Peripheral blood film. Smartphone camera mounted on the microscope eyepiece. Magnification 100×
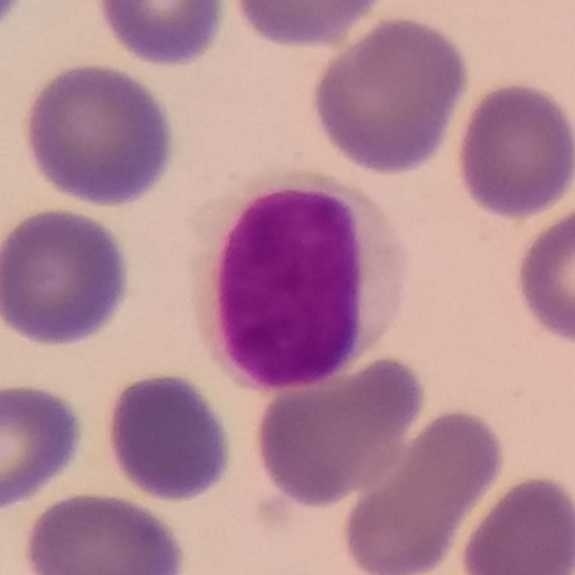Lymphocyte.